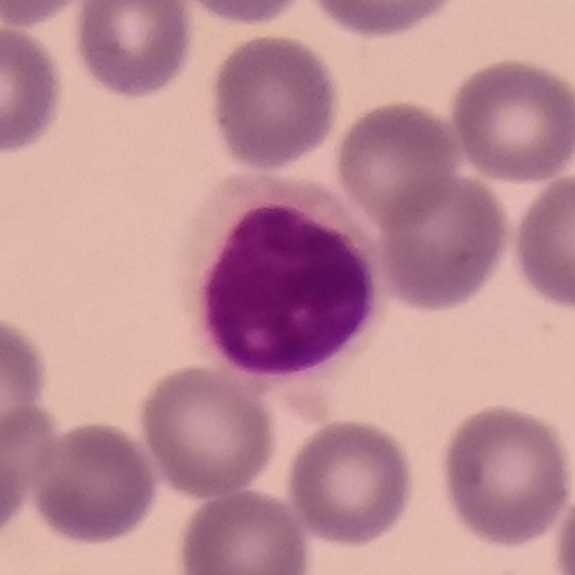
Image: Peripheral blood film. The white blood cell in this image is a lymphocyte.